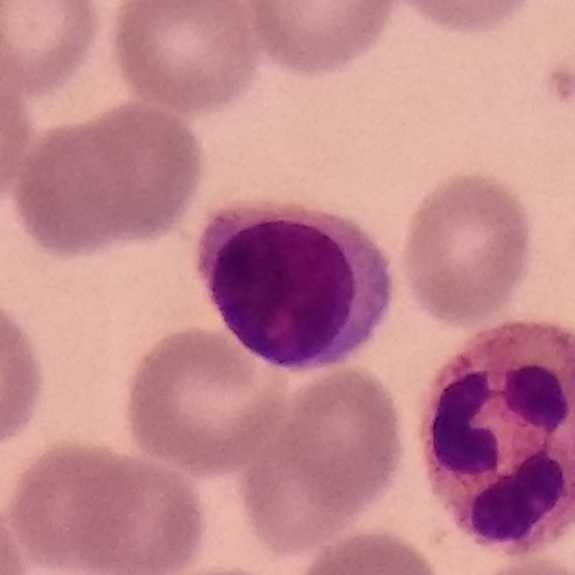
Specimen: peripheral blood film.
White blood cell type: lymphocyte.
Lineage: lymphoid.